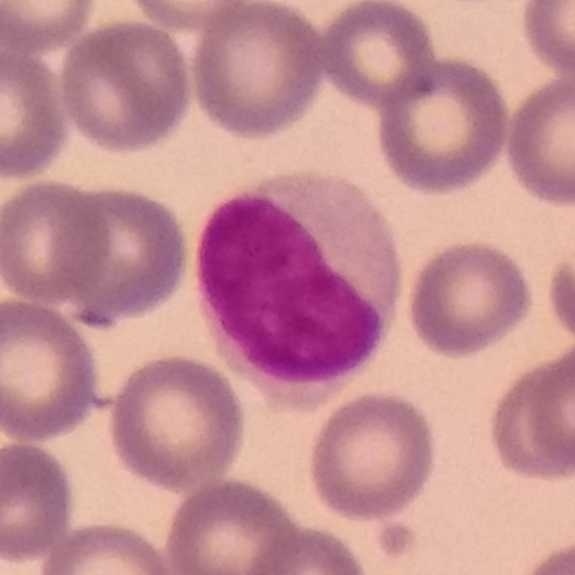
Q: Classify this leukocyte.
A: It is a lymphocyte.

Peripheral blood film. Magnification 100×.